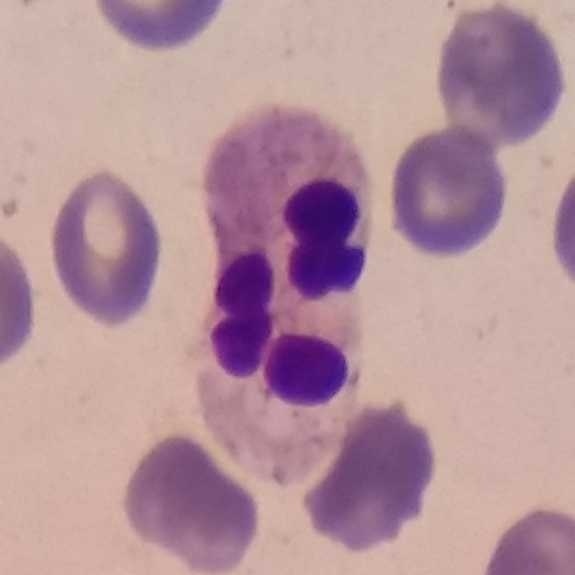
Context: Peripheral blood film. Identified as a neutrophil granulocyte.